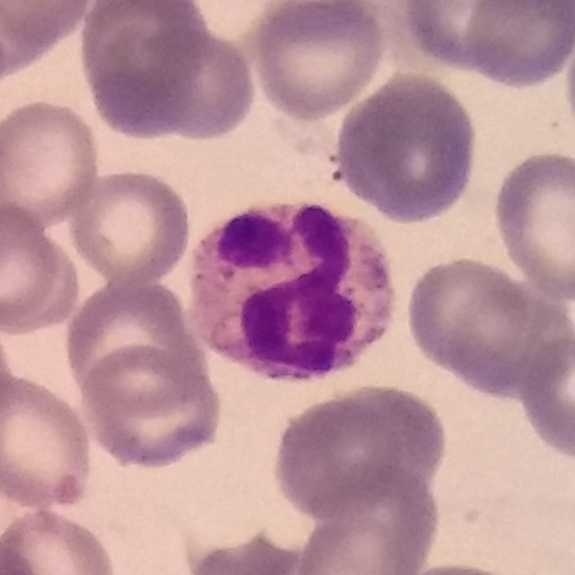
Morphology — neutrophil granulocyte.